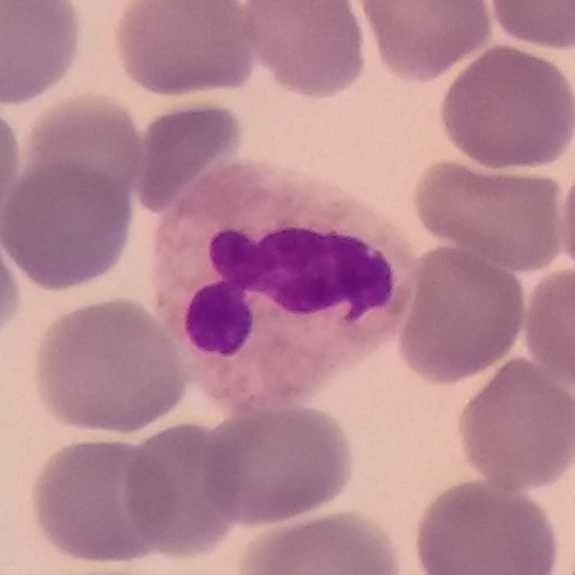

Q: Identify the cell.
A: A neutrophil granulocyte.